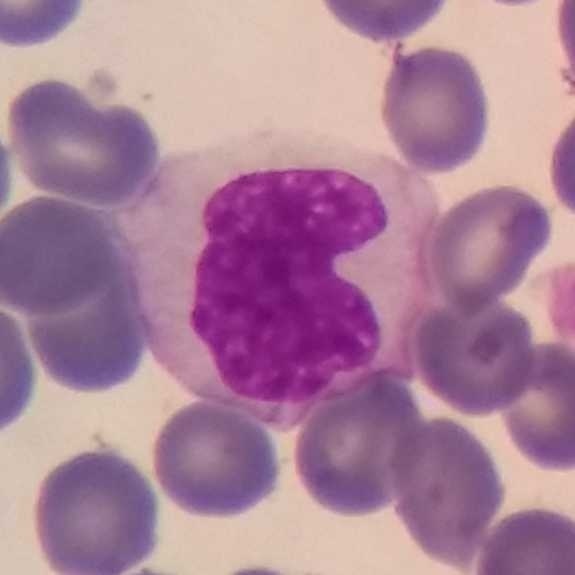

Acquisition: Peripheral blood smear. This is a monocyte.